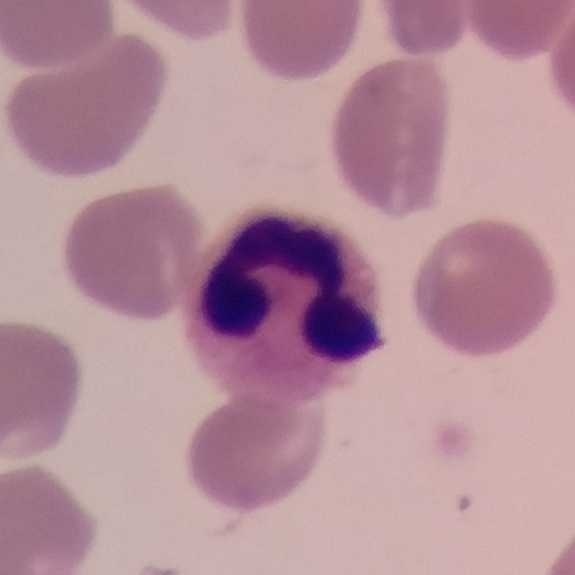

Single cell identified as a neutrophil granulocyte.
Image: Peripheral blood smear · single-cell crop.